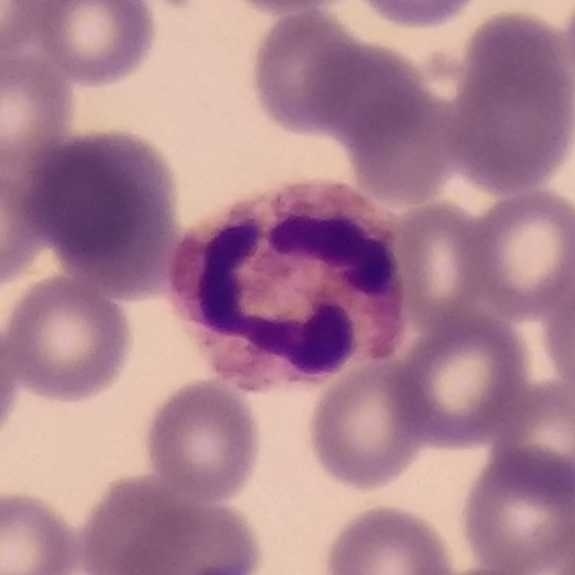 White blood cell type — neutrophil granulocyte.